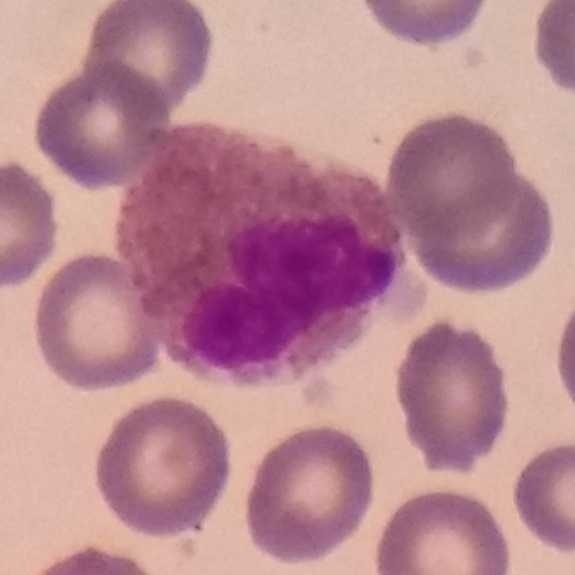

Specimen: peripheral blood film.
Cell: eosinophil.
Lineage: myeloid. Image: Photographed through a light microscope with a smartphone camera.